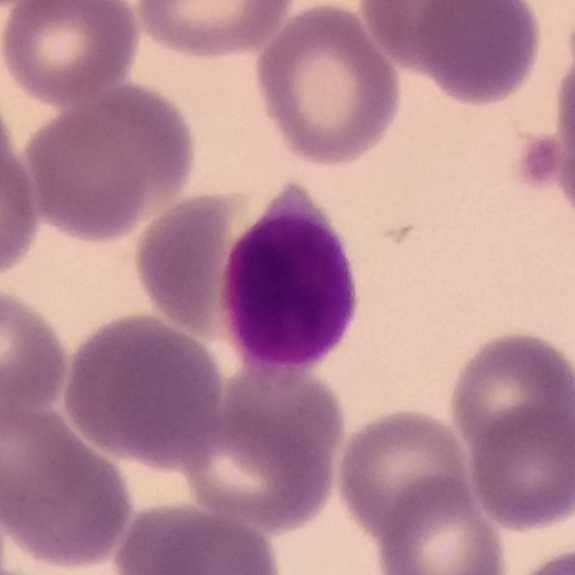

Identified as a lymphocyte. Image: 575 by 575 pixels · imaged at 100× · peripheral blood film.